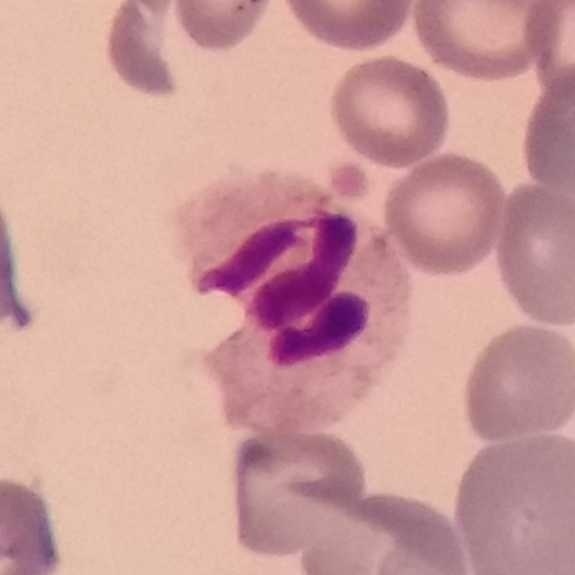 A neutrophil granulocyte.
Image: Peripheral blood film.